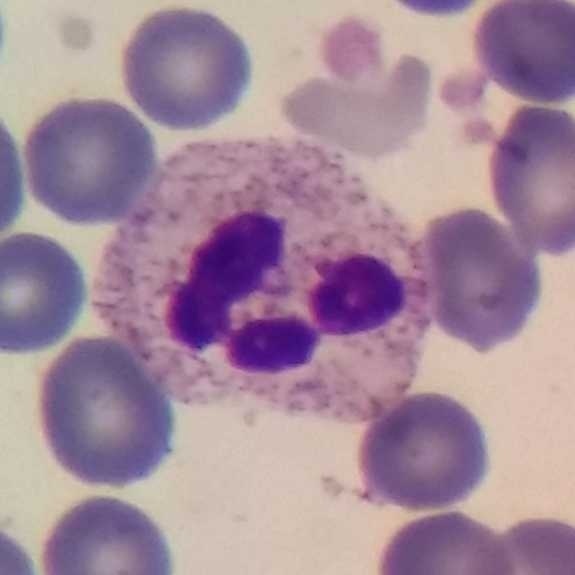
Cell = neutrophil granulocyte.